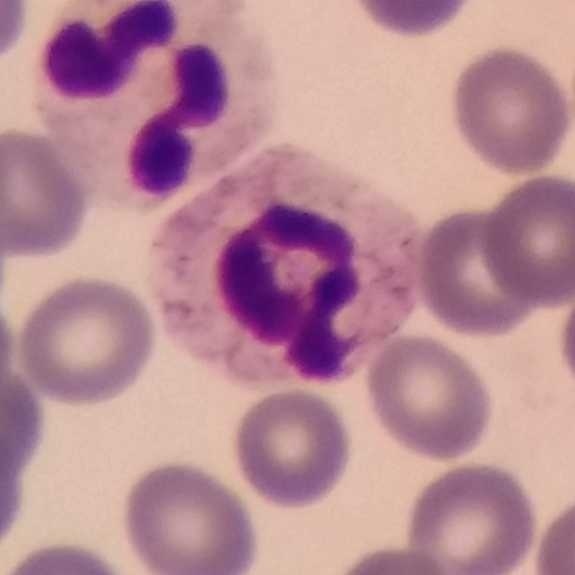Morphology — neutrophil granulocyte.
Image: Cropped to one leukocyte · peripheral blood film.